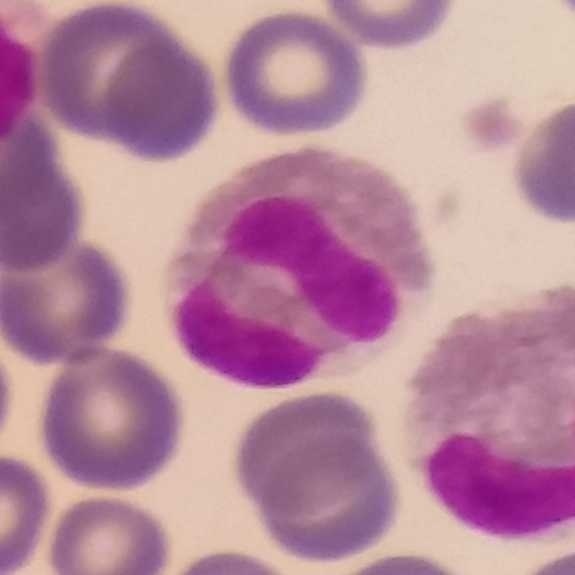Specimen: peripheral blood smear.
Cell type: eosinophil.
Lineage: myeloid.